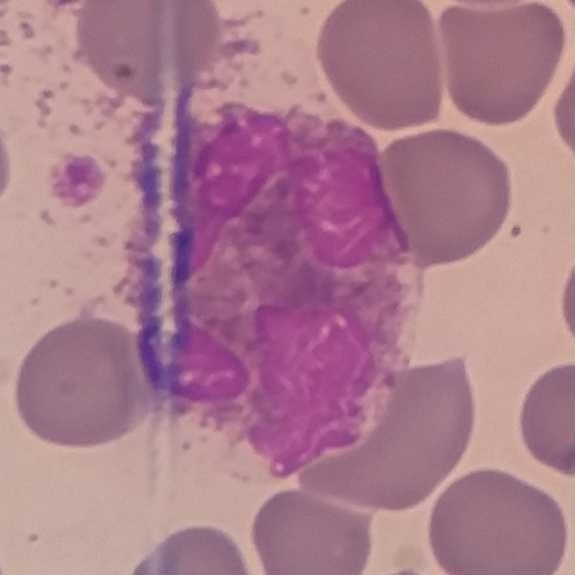Identified as an eosinophil.